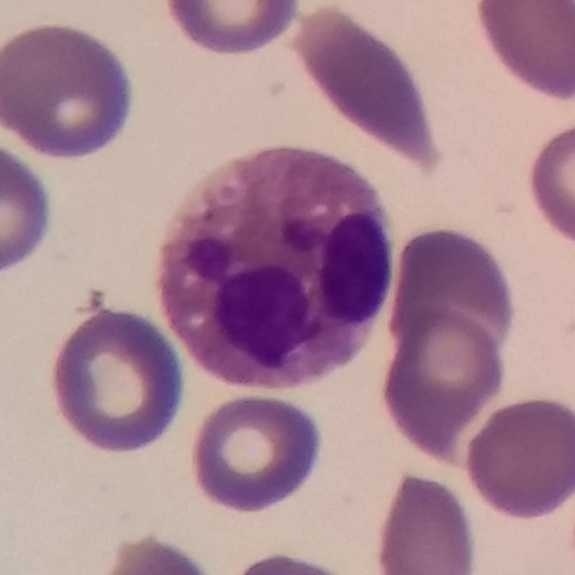
Giemsa-stained.
Specimen: peripheral blood smear.
Cell: eosinophil.
Lineage: myeloid.